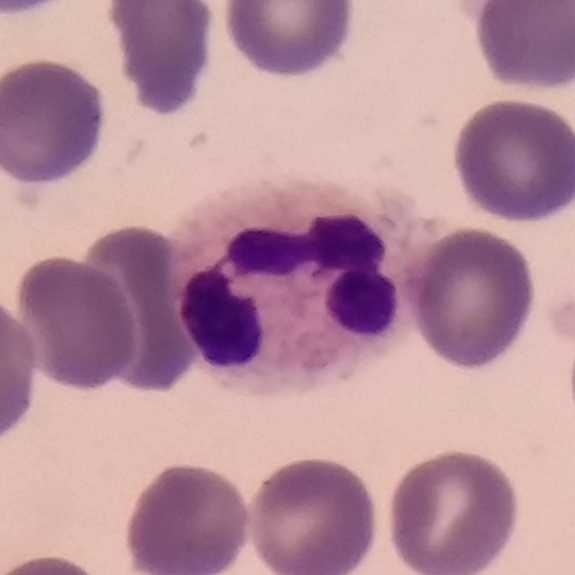 Q: Which cell type is shown here?
A: This is a neutrophil. Peripheral blood film.